Single-cell field · peripheral blood film · Giemsa stain:
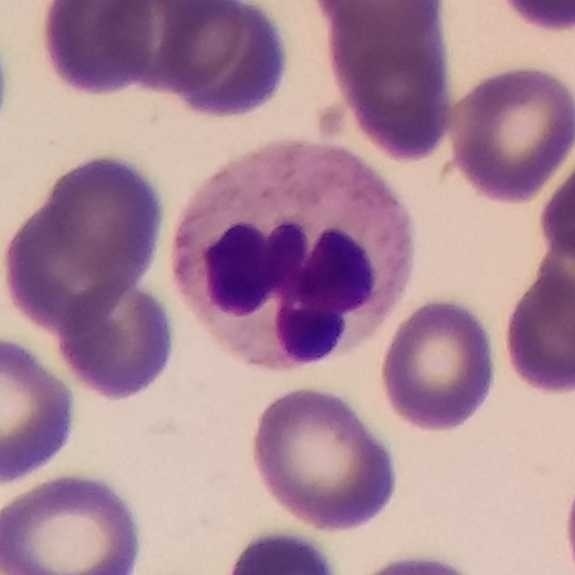 Morphological class = neutrophil granulocyte.